100× magnification; peripheral blood smear — 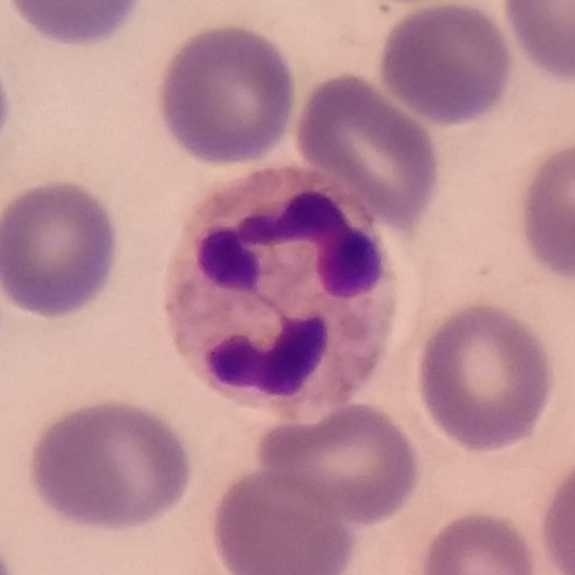
Morphological class: neutrophil granulocyte.